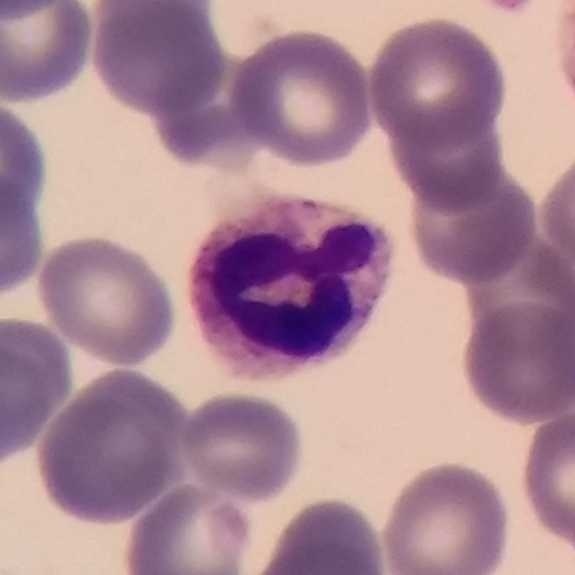

Identified as a neutrophilic granulocyte.

Context: Peripheral blood film.